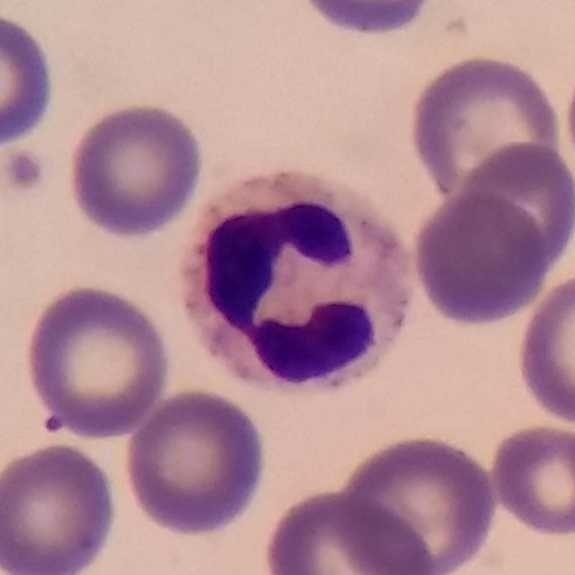Morphology → neutrophilic granulocyte. Preparation: Peripheral blood film.